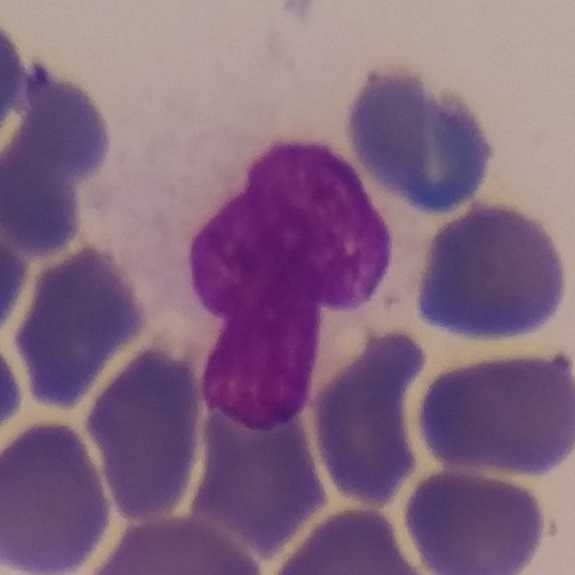 The cell shown is a monocyte.